Peripheral blood smear. 575×575 px. Phone-camera image taken through the microscope ocular.
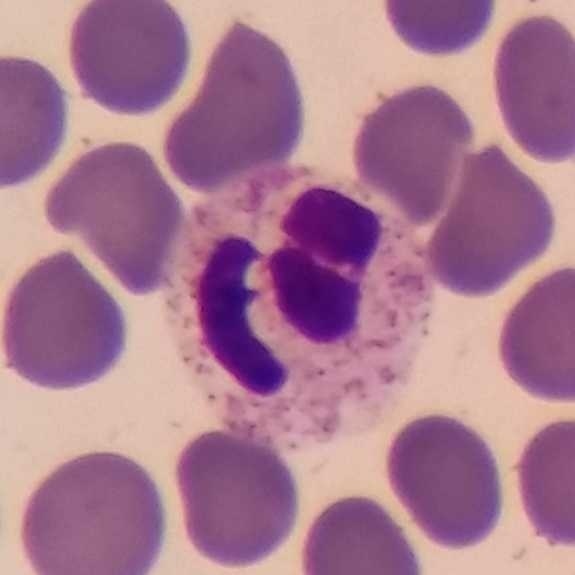Morphology → neutrophil.